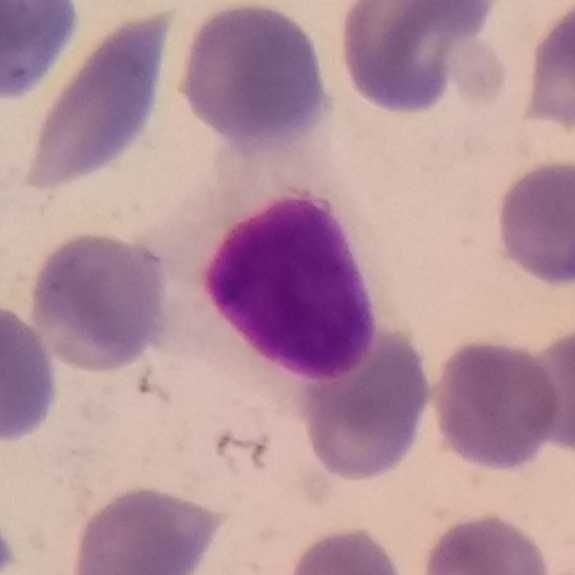 Classification = lymphocyte.